Peripheral blood film:
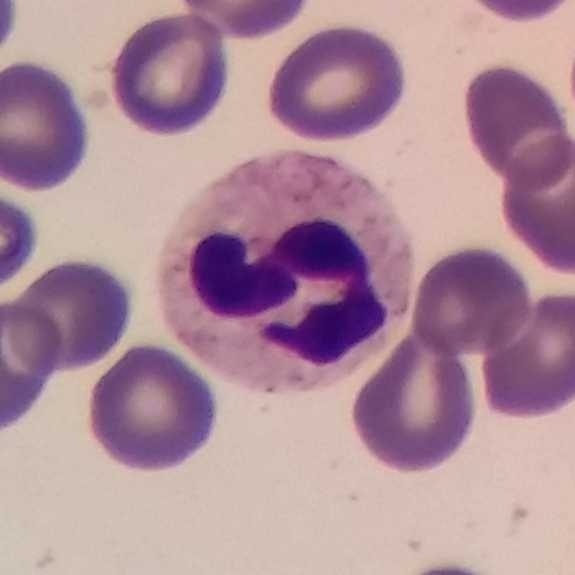 This is a neutrophilic granulocyte.